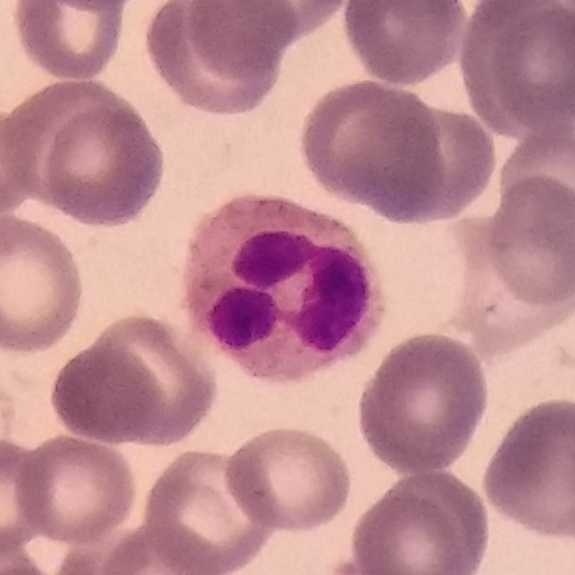

A neutrophil granulocyte.